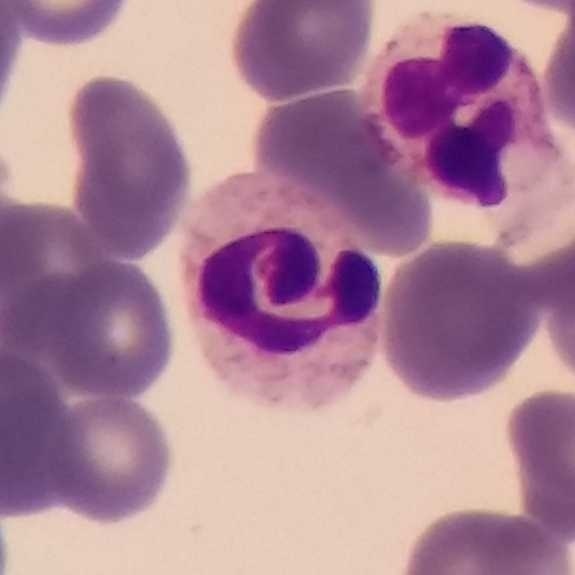Context: Peripheral blood film.
White blood cell type = neutrophilic granulocyte.